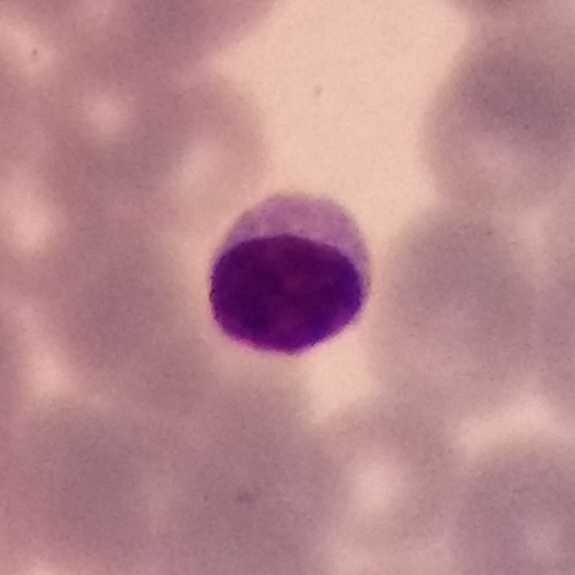 Q: Identify the cell.
A: It is a lymphocyte.